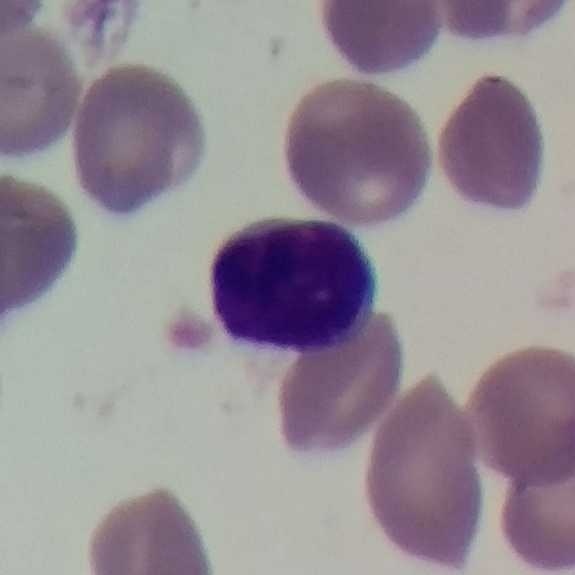 Showing a lymphocyte. Peripheral blood film.